Peripheral blood film
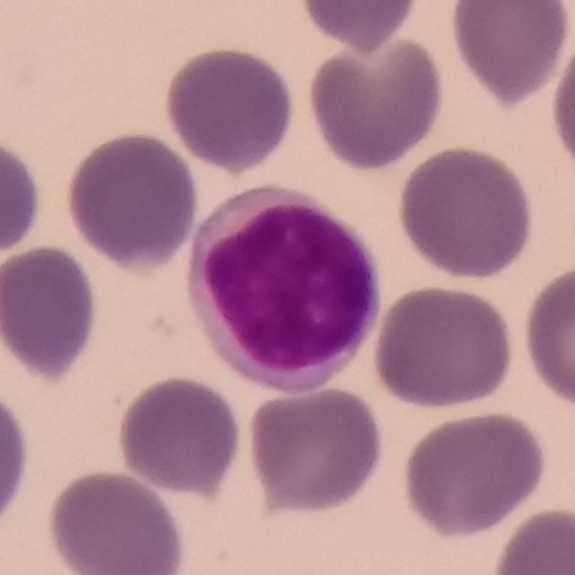 The cell type is lymphocyte.